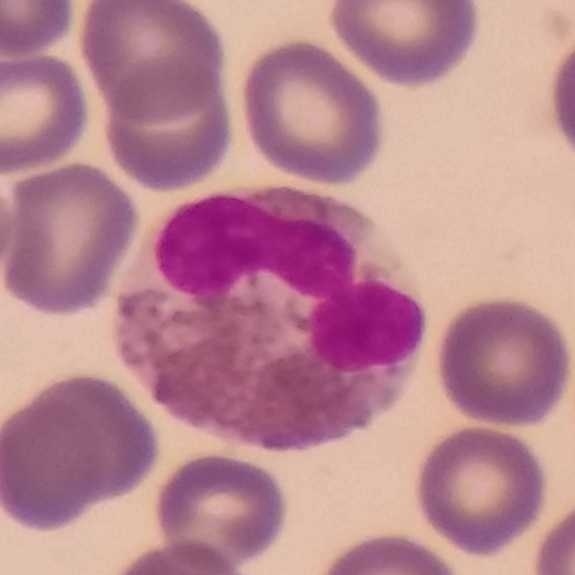 From a peripheral blood smear: an eosinophilic granulocyte.